Peripheral blood smear — 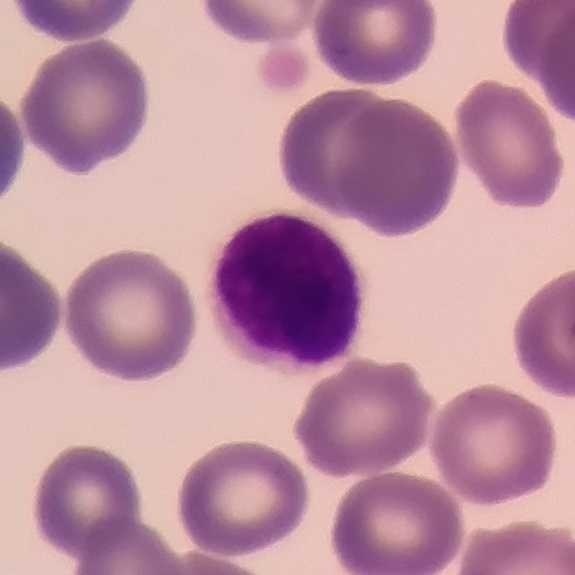 Specimen: peripheral blood film.
Morphological class: lymphocyte.
Lineage: lymphoid.